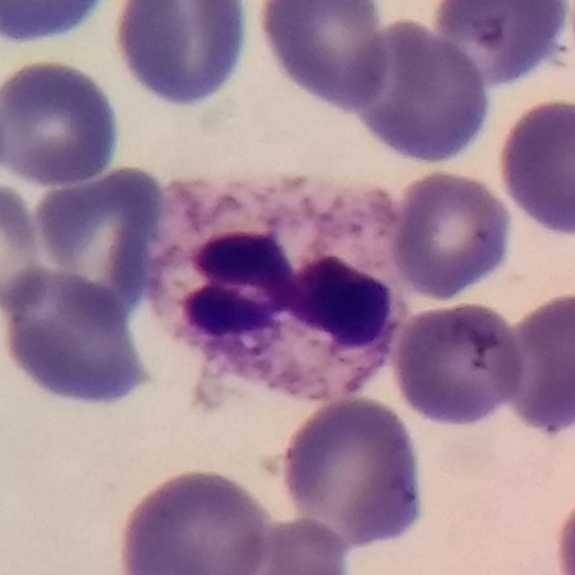This is a neutrophil. Preparation: 575×575. Phone-camera image taken through the microscope ocular. Peripheral blood smear.